Magnification 100×. Peripheral blood film.
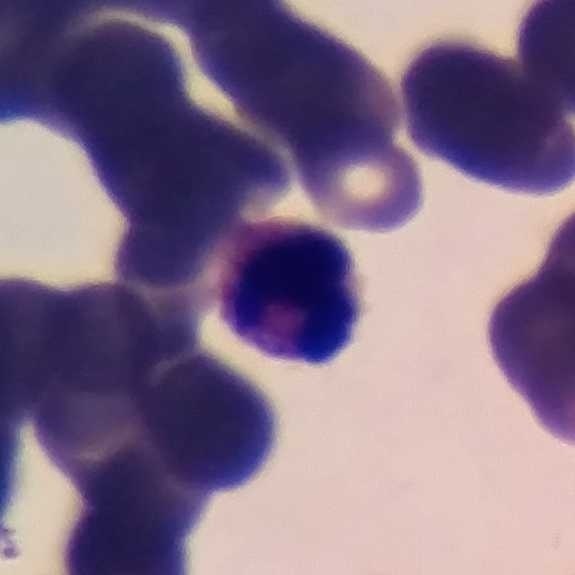 The white blood cell in this image is a neutrophilic granulocyte.